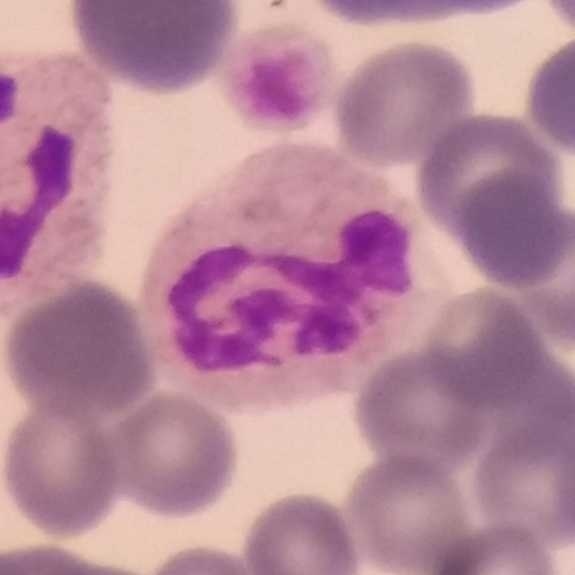
The cell shown is a neutrophil.